Peripheral blood smear:
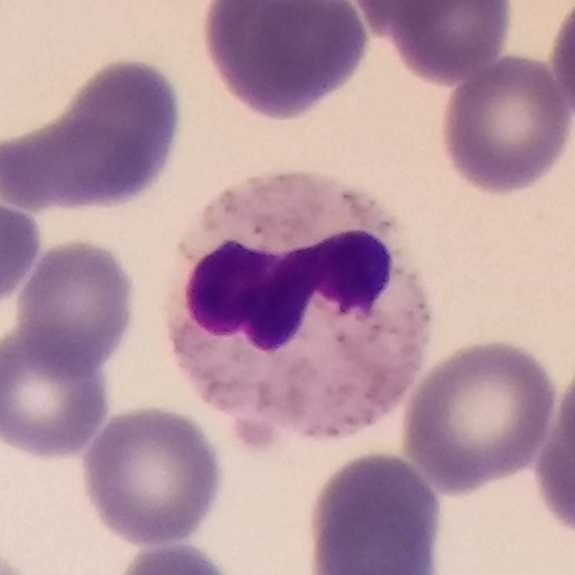
The cell shown is a neutrophil granulocyte.